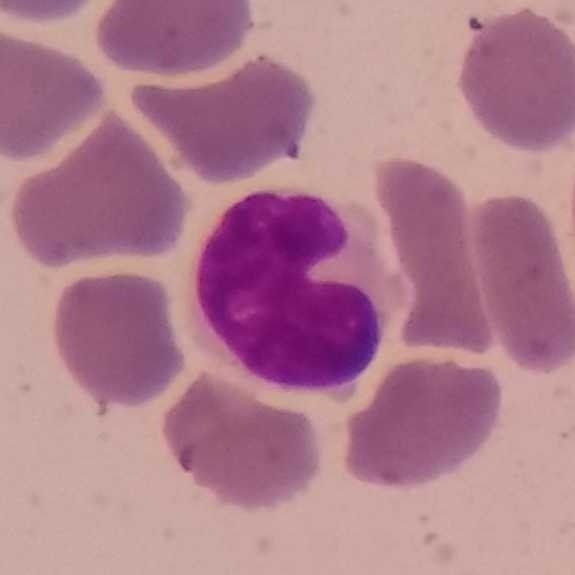 Peripheral blood film. Identified as a lymphocyte.